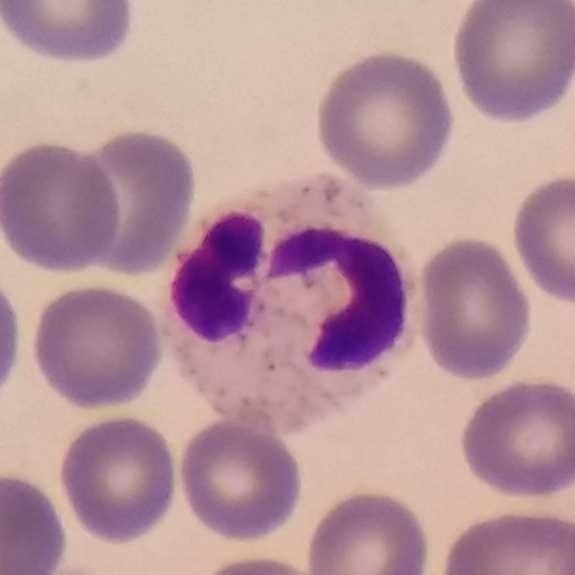
The cell type is neutrophil granulocyte. Single white blood cell cropped from the smear photograph; peripheral blood film.